Peripheral blood smear
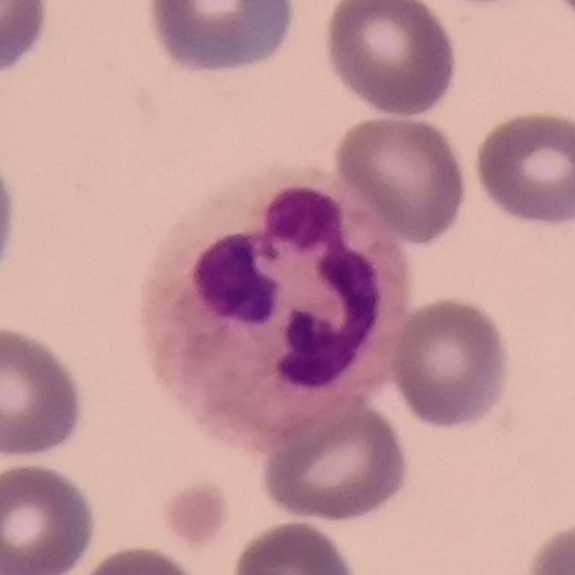
Morphology — neutrophil.